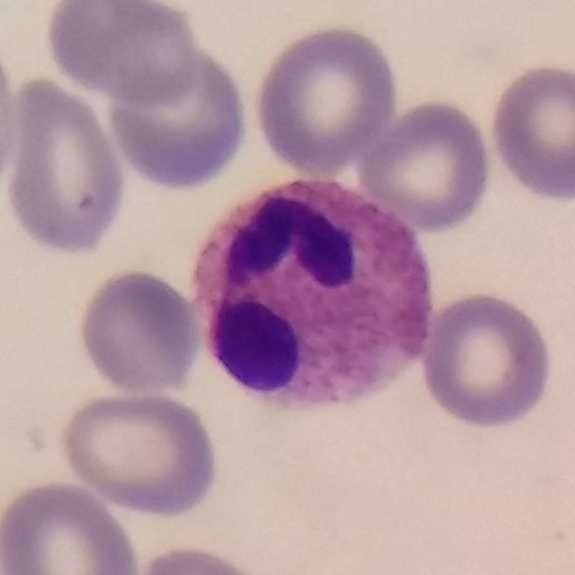

The morphological class is neutrophil.
Image: Smartphone camera mounted on the microscope eyepiece. Peripheral blood smear. Imaged at 100×.